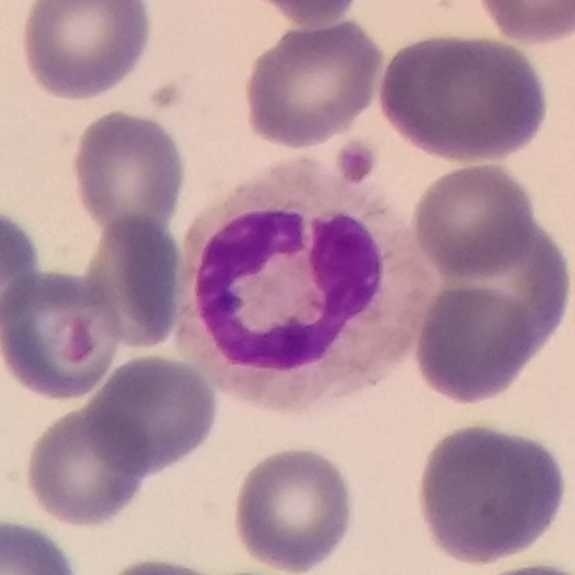 Peripheral blood film. Cell = neutrophil granulocyte.